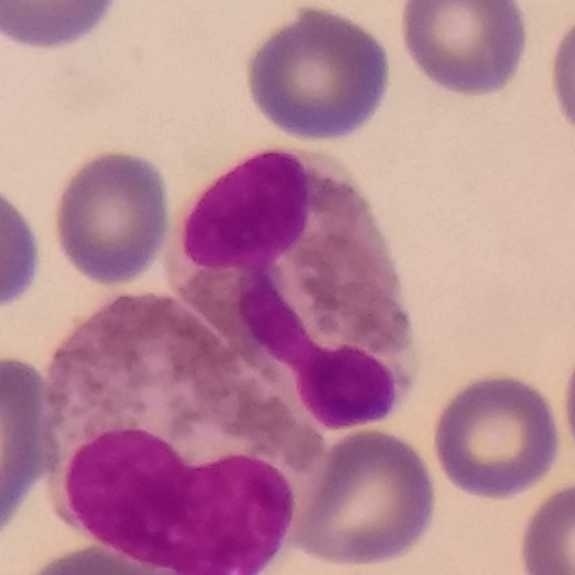

Morphology consistent with an eosinophilic granulocyte.